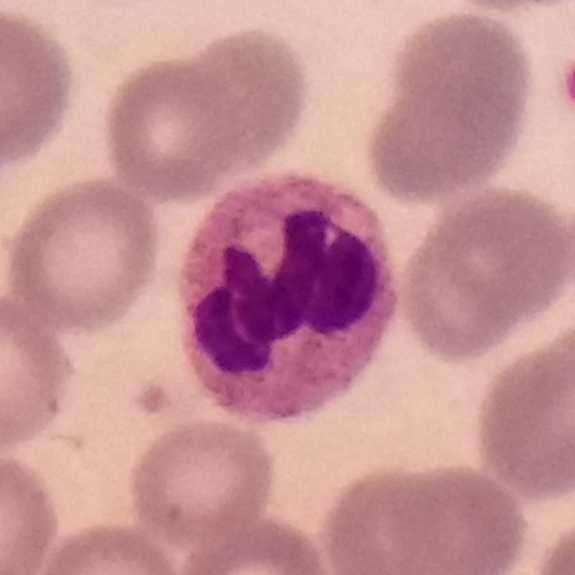 {"cell_type": "neutrophil granulocyte", "lineage": "myeloid"} Image size 575×575; peripheral blood smear.